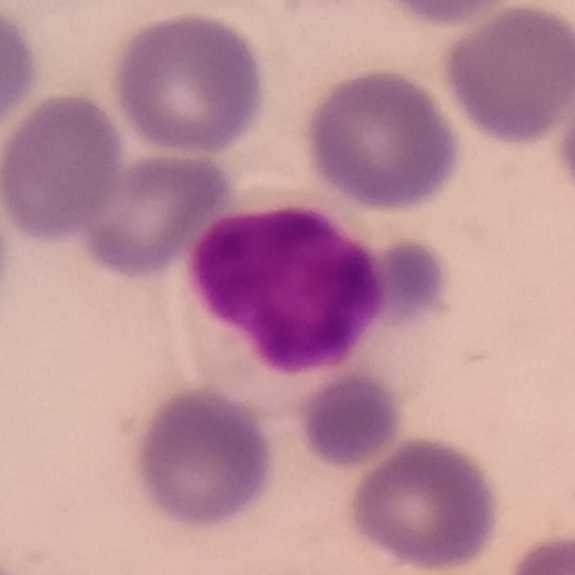The white blood cell in this image is a lymphocyte.
Preparation: Peripheral blood smear.